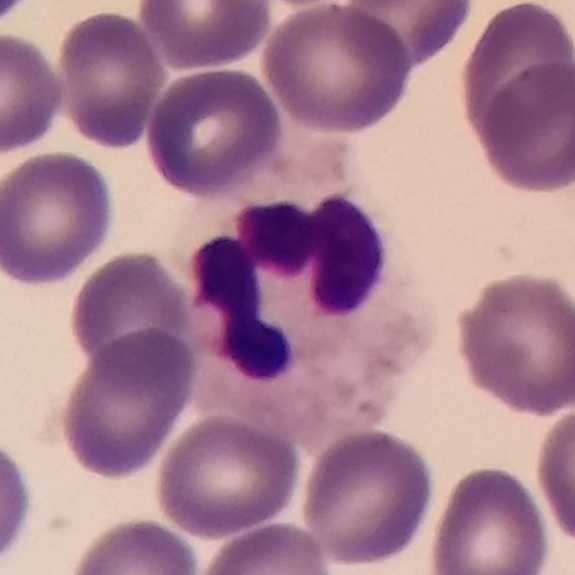Showing a neutrophilic granulocyte.

Image: Peripheral blood smear · photographed through a light microscope with a smartphone camera · Giemsa-stained.